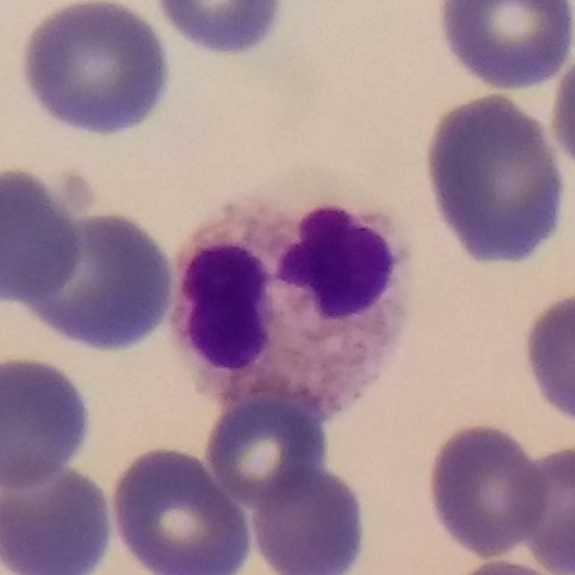
Q: What cell is this?
A: It is a neutrophil granulocyte. Giemsa stain. Peripheral blood film.